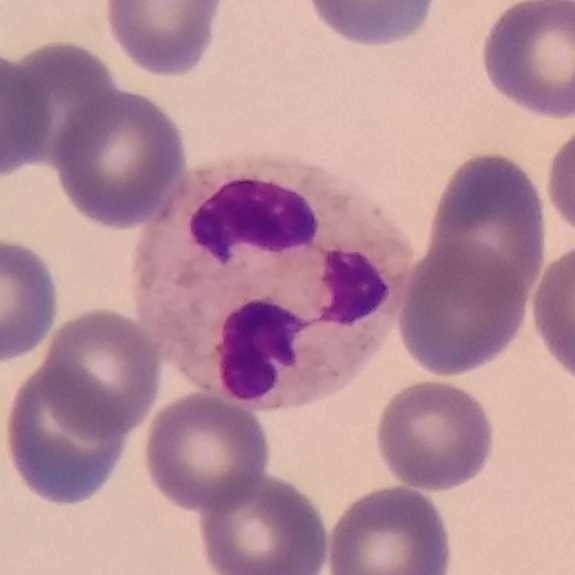Image: Peripheral blood film.
Cell — neutrophilic granulocyte.